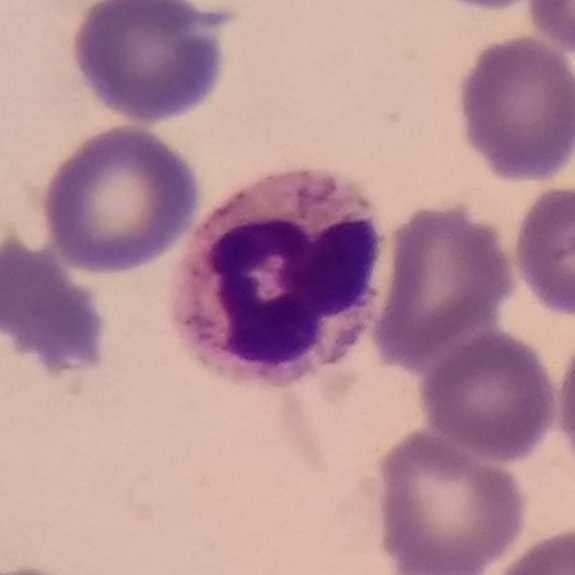Q: What type of cell is this?
A: Neutrophilic granulocyte.
Peripheral blood film.